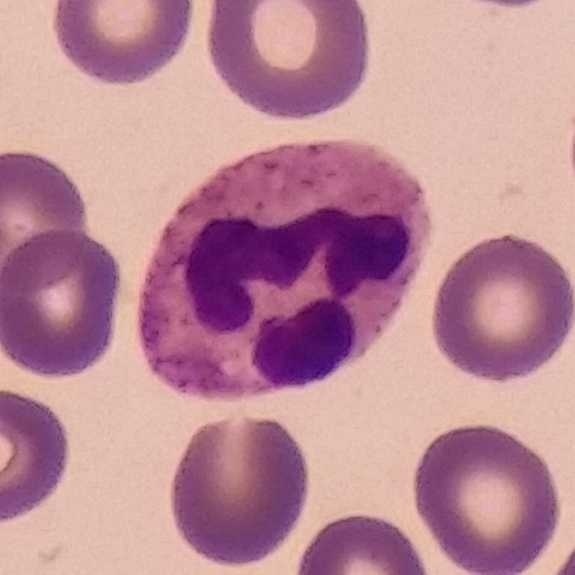 Context: Peripheral blood film · photographed through a light microscope with a smartphone camera.

Q: Identify the cell.
A: This is a neutrophilic granulocyte.